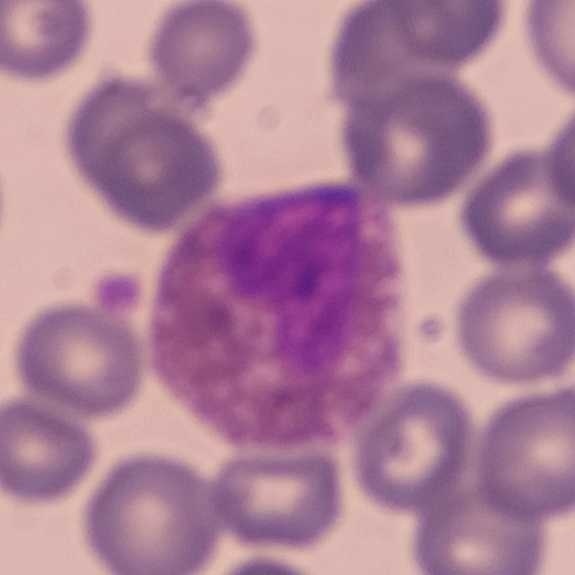
Morphology consistent with an eosinophilic granulocyte.